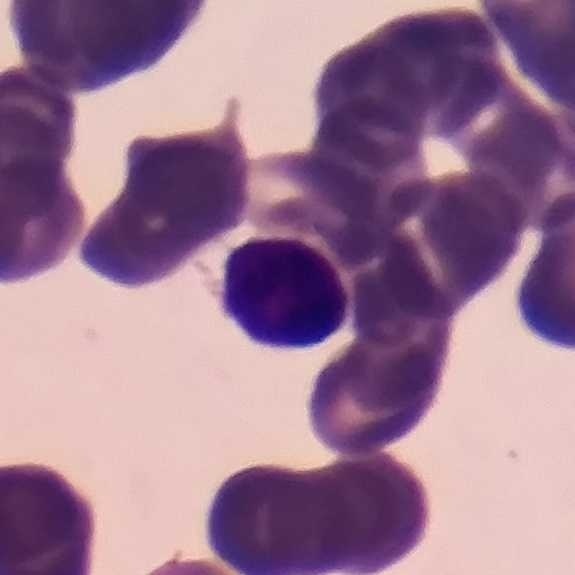
Impression — lymphocyte.